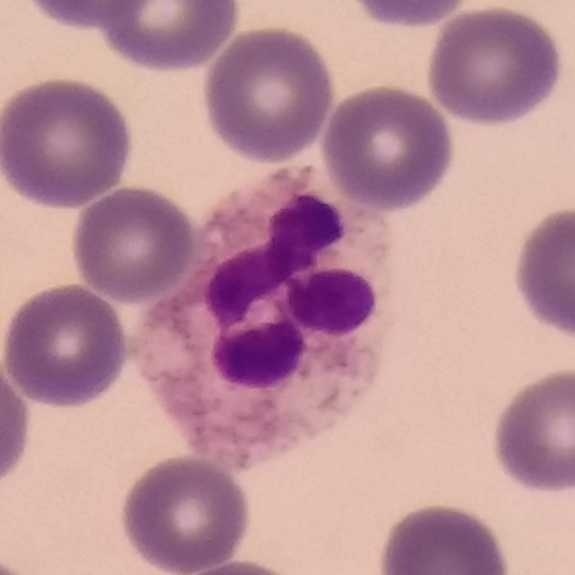The cell type is neutrophil granulocyte. Acquisition: Peripheral blood film.